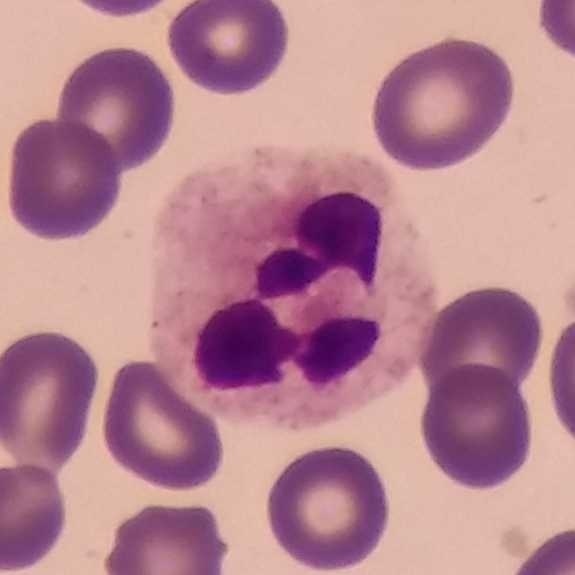

Peripheral blood film · Giemsa-stained.
Showing a neutrophil.